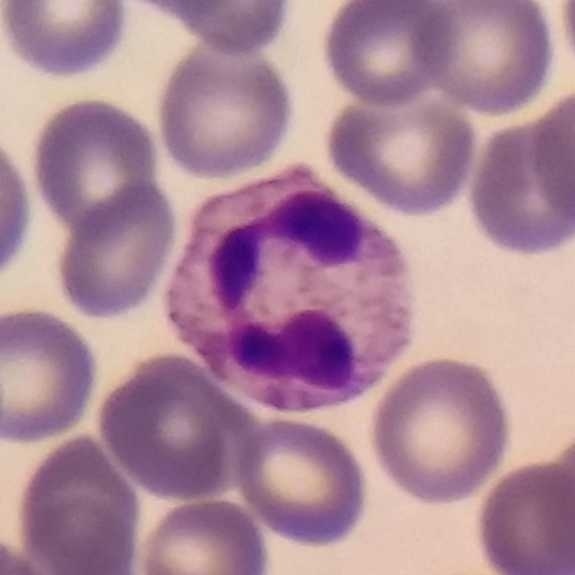
Morphology — neutrophilic granulocyte. Image: Image size 575×575; peripheral blood film; stained with Giemsa.